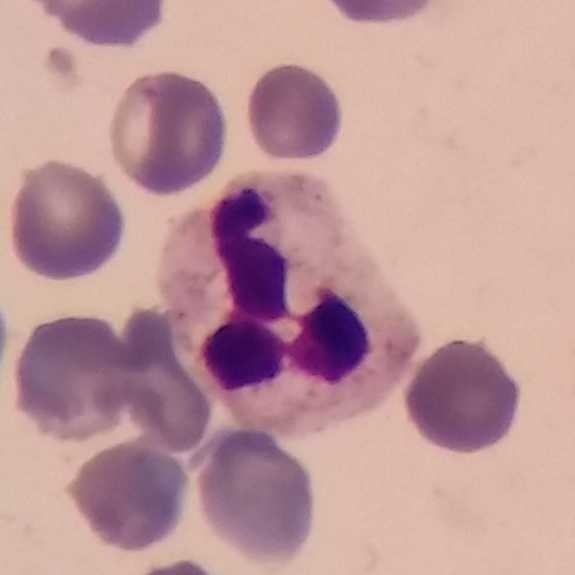

Morphology → neutrophil granulocyte. Imaged at 100× · peripheral blood film.